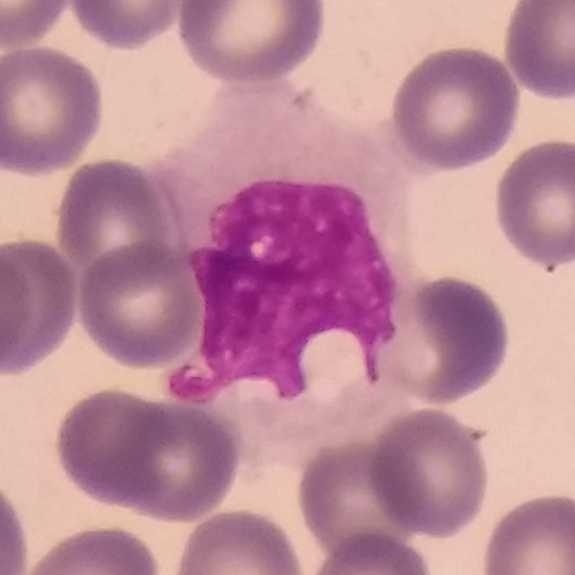Image: Peripheral blood smear.

The white blood cell in this image is a monocyte.